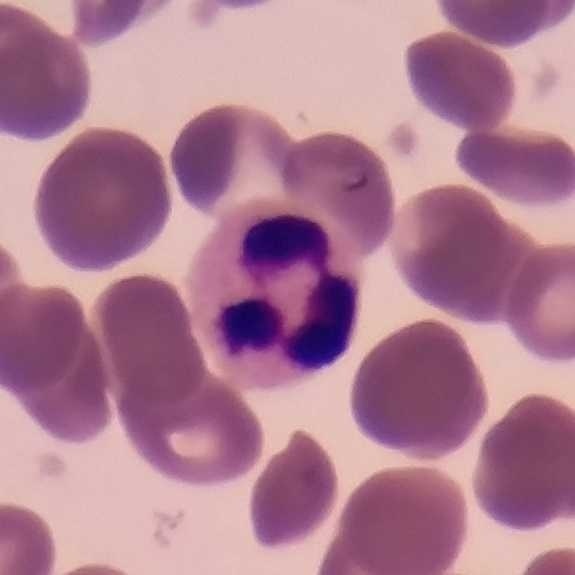
Cell = neutrophil.